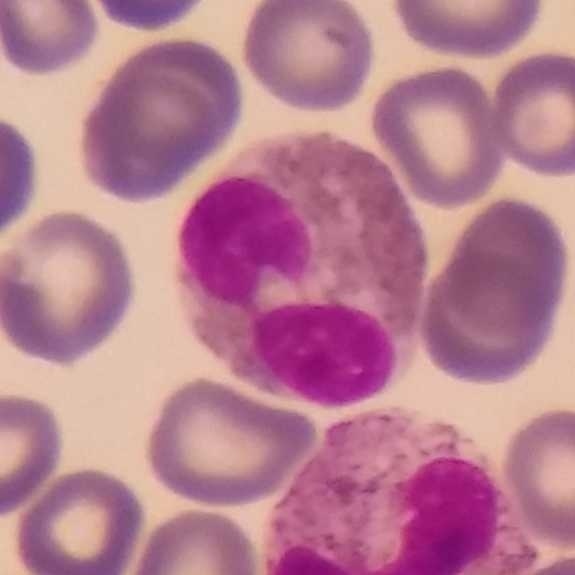
Impression — eosinophil.